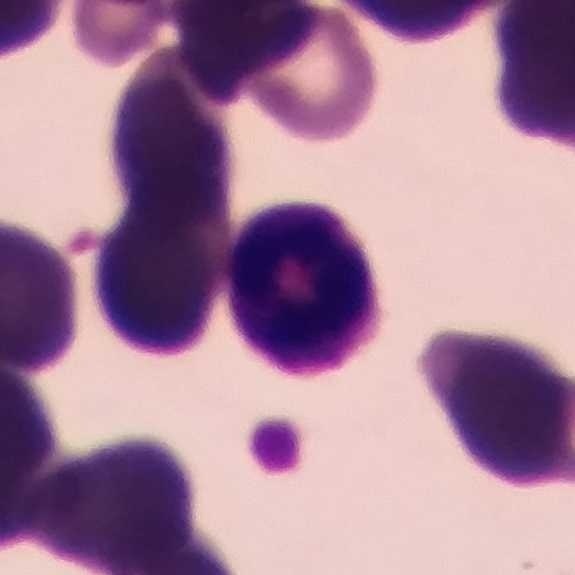
White blood cell from a peripheral blood smear: neutrophilic granulocyte.